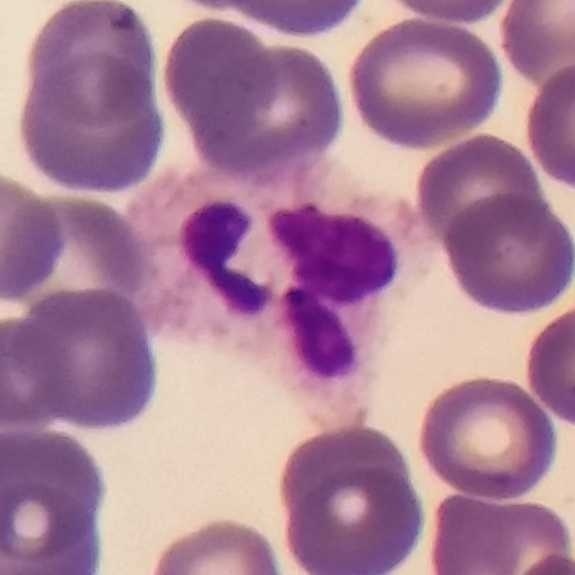
Context: Giemsa stain · peripheral blood film · 575×575.

Q: Identify the cell.
A: Neutrophil.